Peripheral blood film:
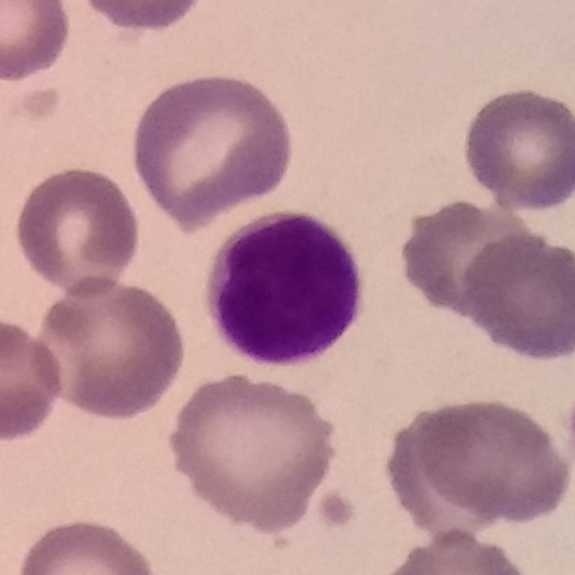

Q: Identify the cell.
A: This is a lymphocyte.